Phone-camera image taken through the microscope ocular · single white blood cell cropped from the smear photograph · peripheral blood smear
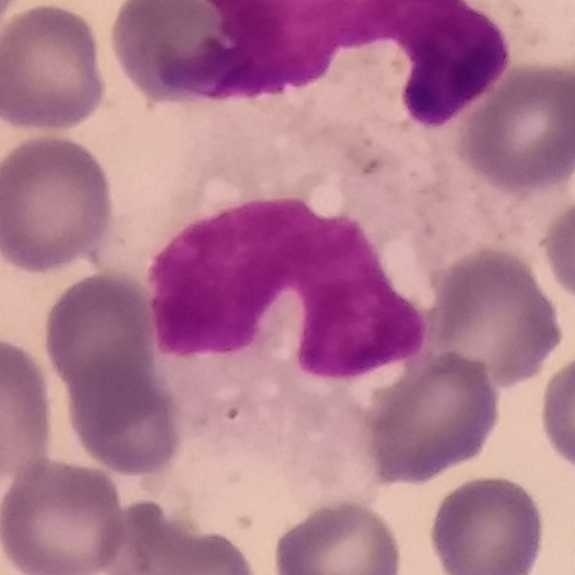
Q: What is this?
A: It is a monocyte.